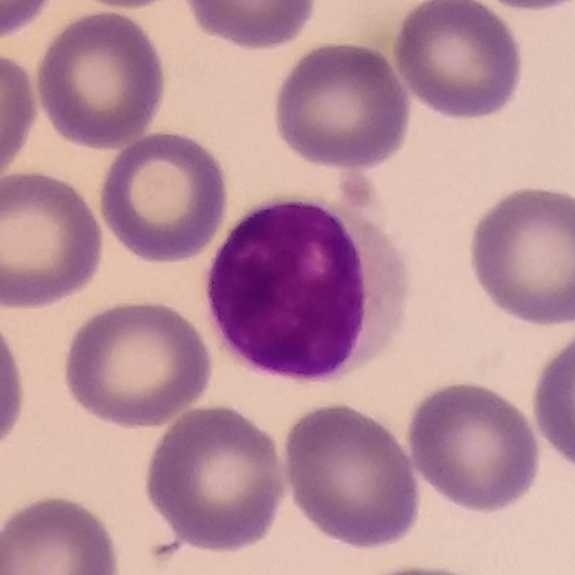

Context: Peripheral blood smear · single-cell crop.
The cell type is lymphocyte.